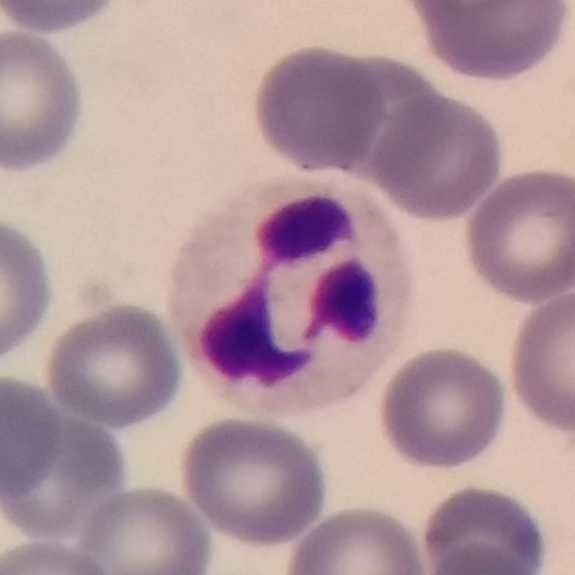
Image: Peripheral blood film.

Q: Which type of white blood cell is this?
A: It is a neutrophil.